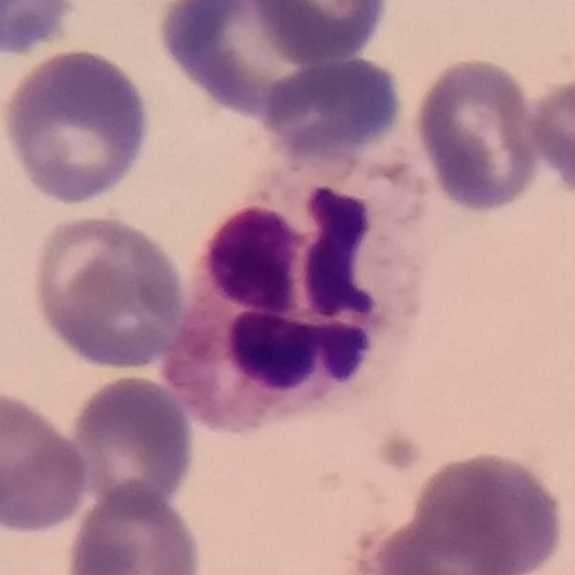

The cell shown is a neutrophilic granulocyte.